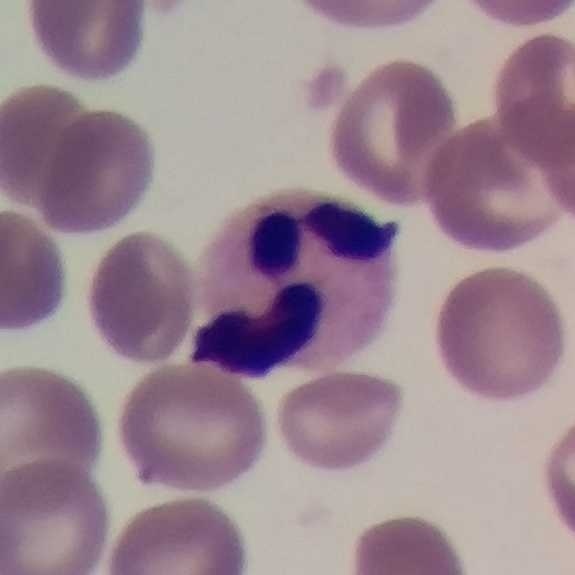 Single-cell field.

Specimen: peripheral blood film.
Cell type: neutrophil.
Lineage: myeloid.